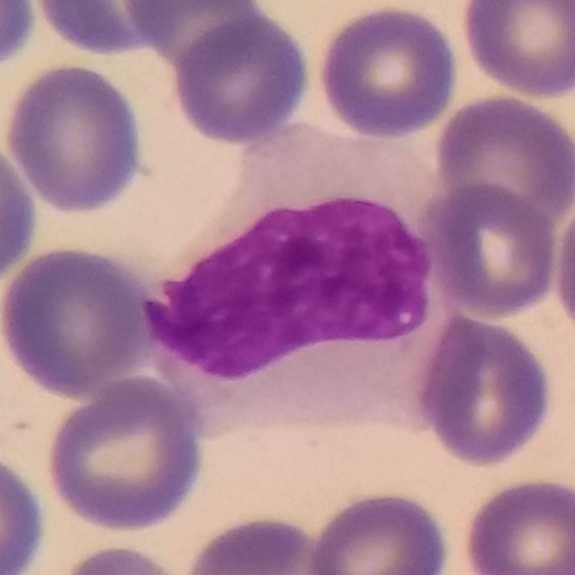Smartphone camera mounted on the microscope eyepiece; peripheral blood smear.
Q: Classify this leukocyte.
A: Monocyte.